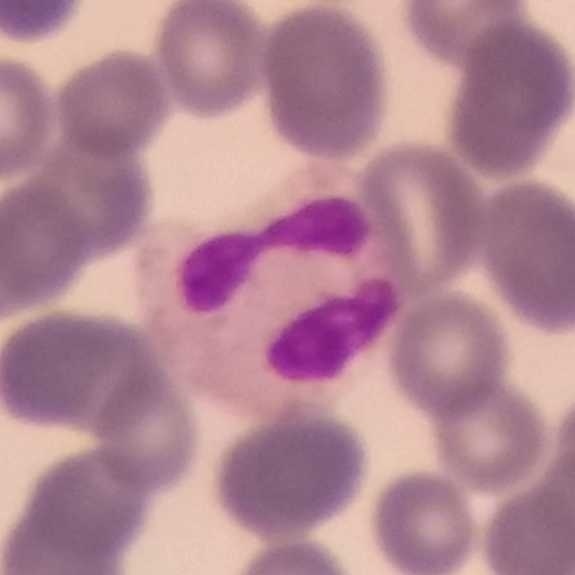 Cell: neutrophilic granulocyte. Giemsa-stained; peripheral blood smear; single-cell crop.